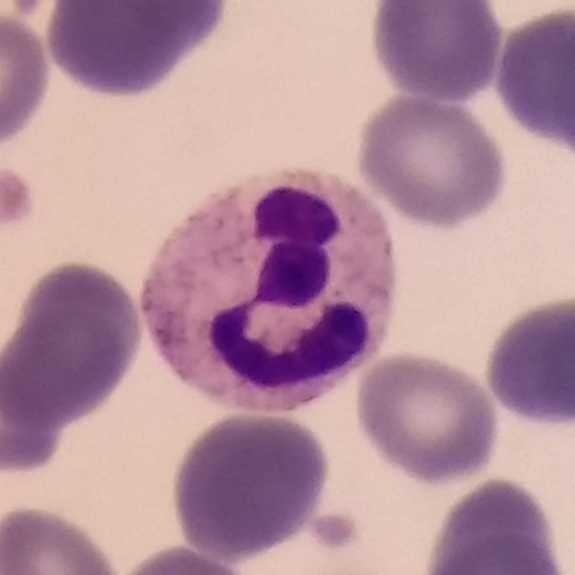Preparation: Peripheral blood film; 575 by 575 pixels; smartphone camera mounted on the microscope eyepiece.

Identified as a neutrophil.